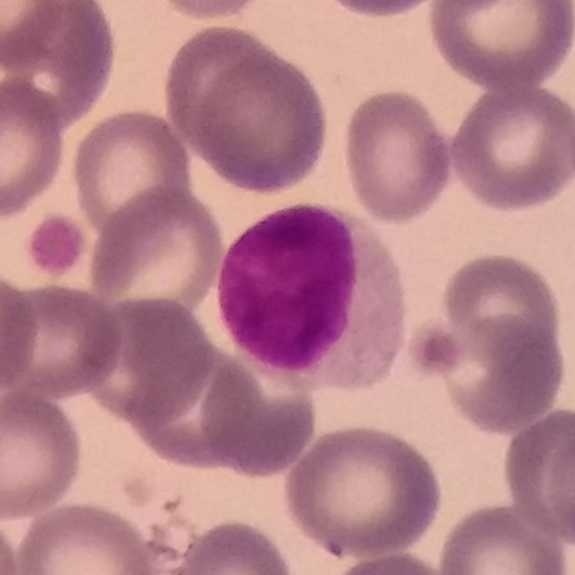 The morphological class is lymphocyte.

Peripheral blood smear.